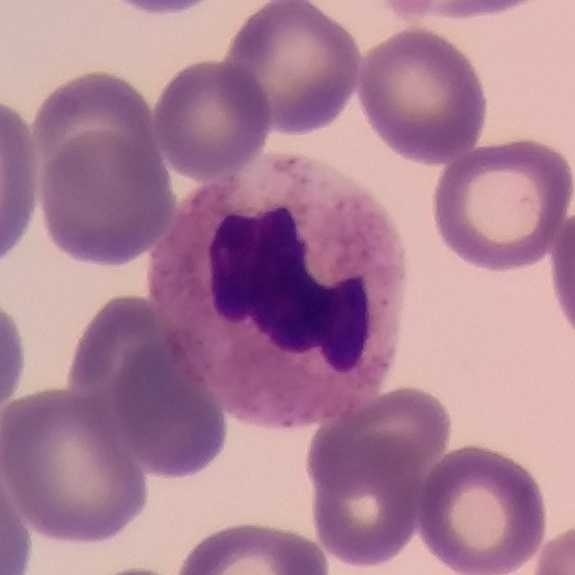 Classification: neutrophil granulocyte.
Phone-camera image taken through the microscope ocular. Peripheral blood film. 100× magnification.